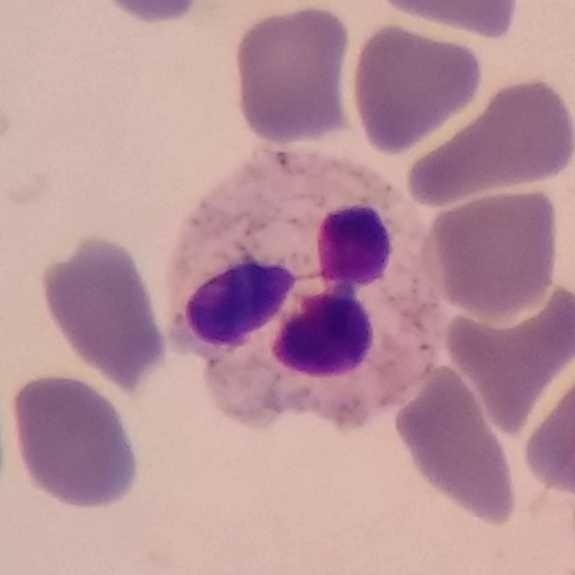 Cell type — neutrophil. Image: Peripheral blood smear; smartphone photomicrograph.